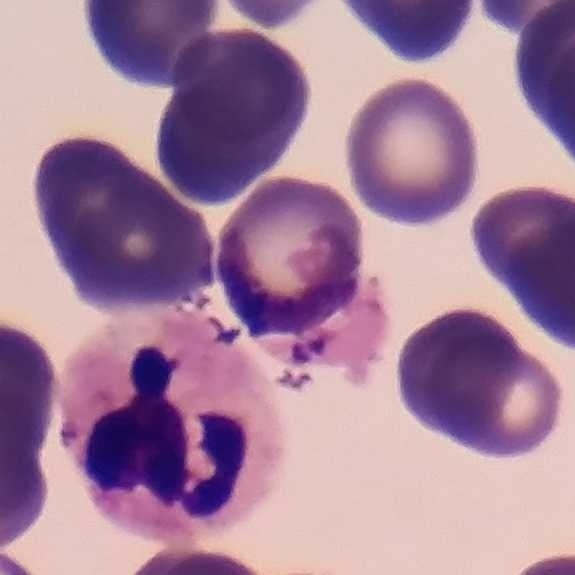Preparation: Peripheral blood film.

Q: Which cell type is shown here?
A: A neutrophil granulocyte.